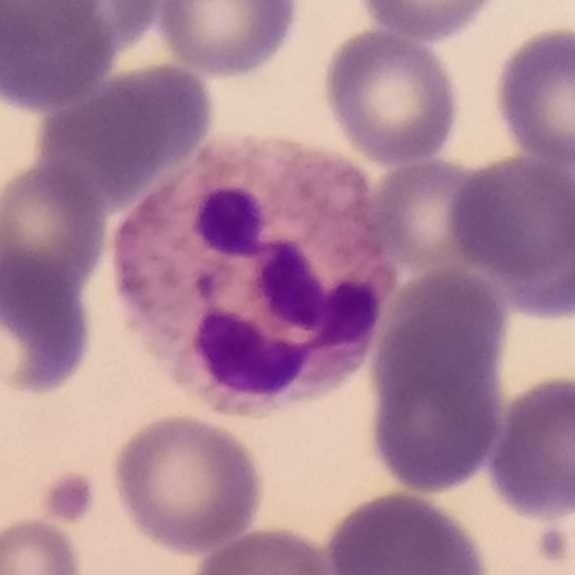

Preparation: Peripheral blood film.

Single cell identified as a neutrophilic granulocyte.